Peripheral blood smear. Smartphone photomicrograph. Single-cell crop:
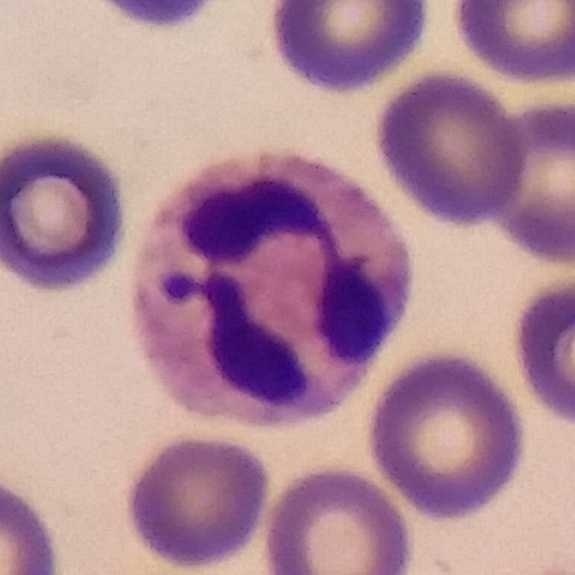 This is a neutrophil.